Stained with Giemsa · peripheral blood smear.
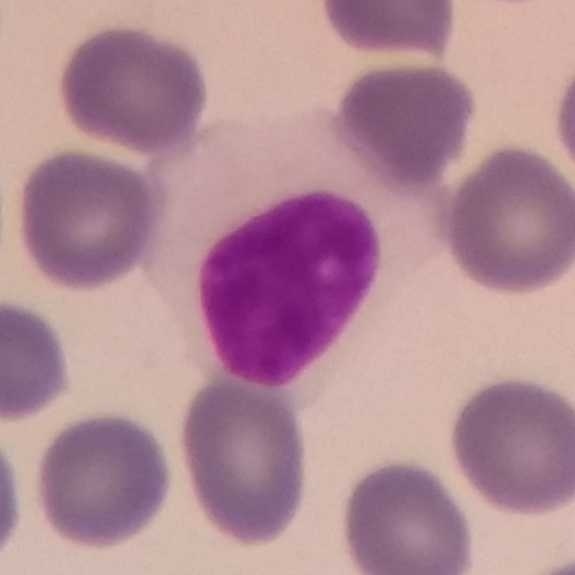
{"cell_type": "lymphocyte", "lineage": "lymphoid"}